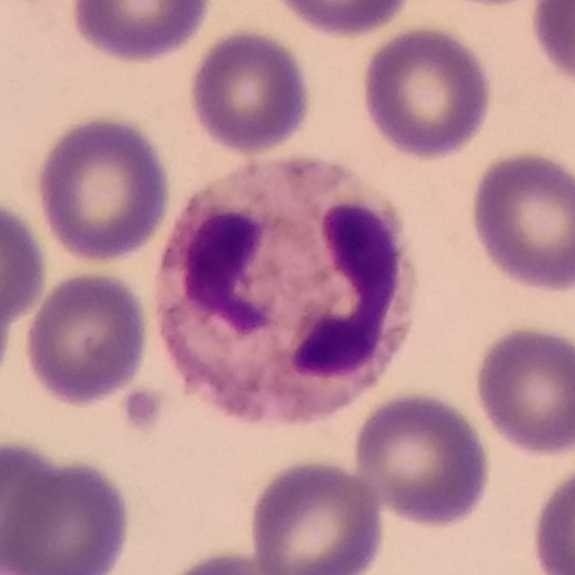

Q: What is shown here?
A: Neutrophil granulocyte.
Acquisition: Peripheral blood film · 575 by 575 pixels.